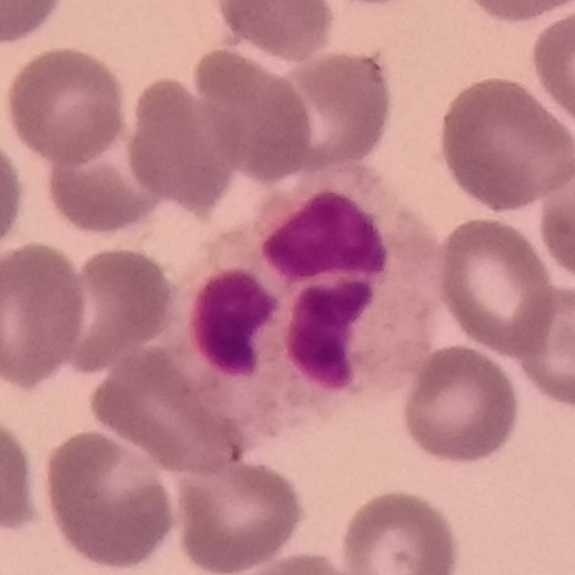 Cell: neutrophil granulocyte. Peripheral blood smear.